Peripheral blood film.
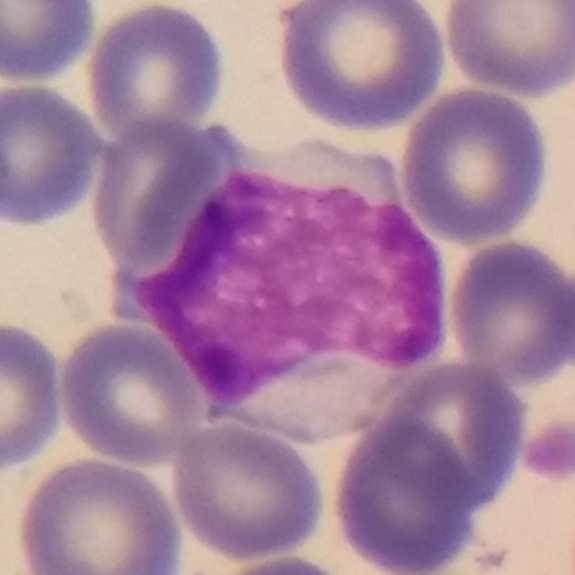

Q: Which type of white blood cell is this?
A: A monocyte.